Peripheral blood film.
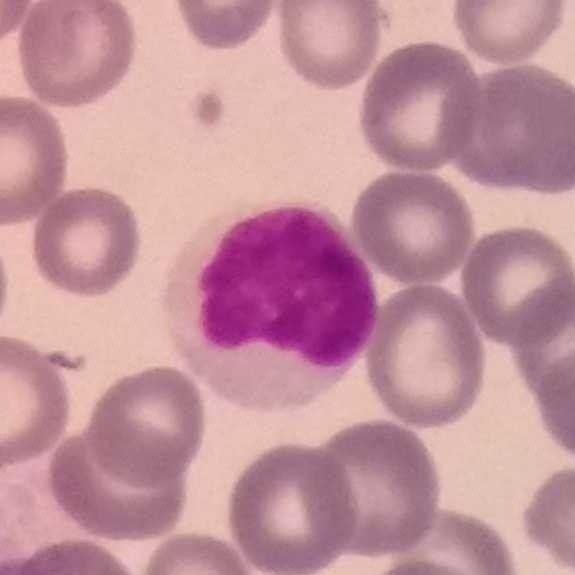

White blood cell type = lymphocyte.